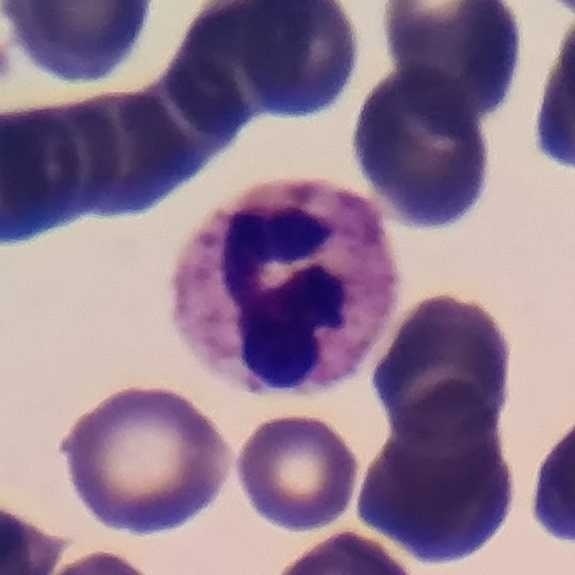
Acquisition: Peripheral blood smear.

Impression — neutrophil.